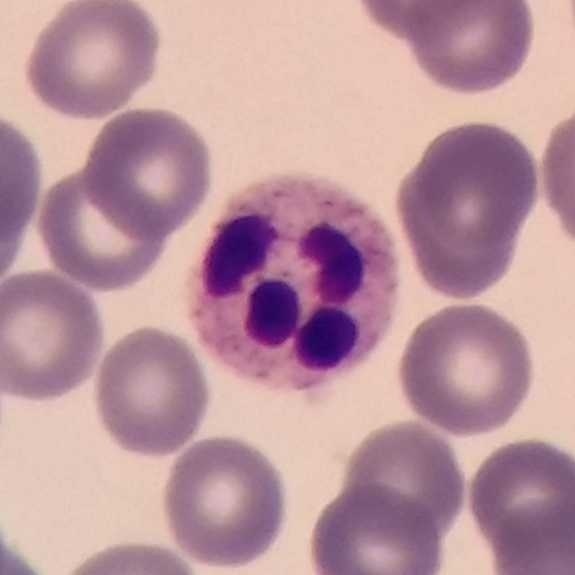

Acquisition: Peripheral blood smear.

Showing a neutrophil.